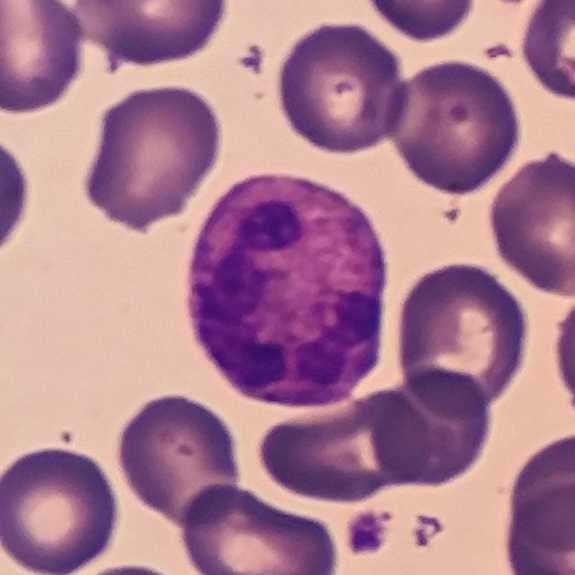
Preparation: Peripheral blood smear.

Q: What is this?
A: Neutrophilic granulocyte.